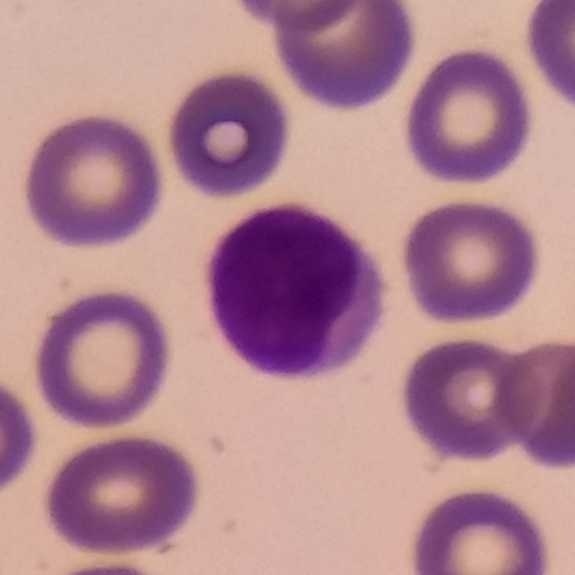Lymphocyte.